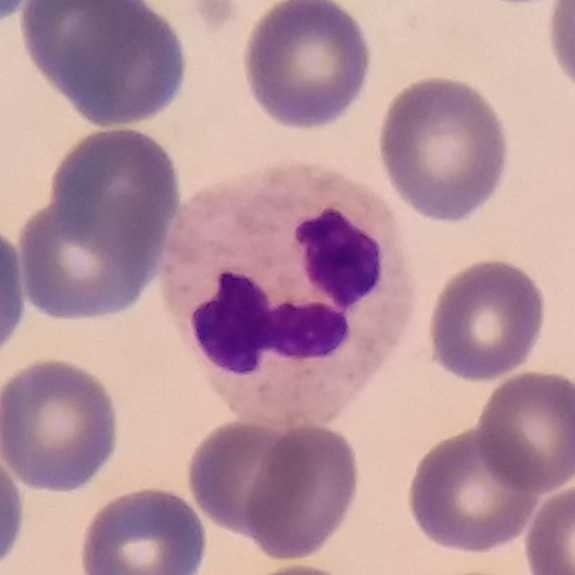Morphology consistent with a neutrophilic granulocyte.
Image: Peripheral blood smear.